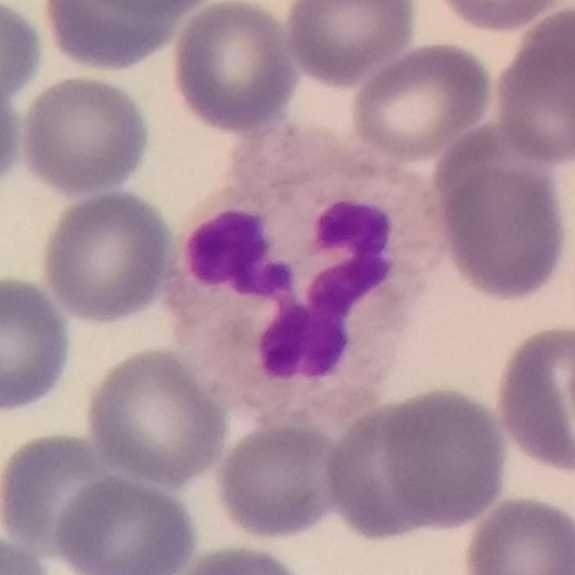

Specimen: peripheral blood film.
Cell: neutrophil.

Image: 575×575; single white blood cell cropped from the smear photograph.